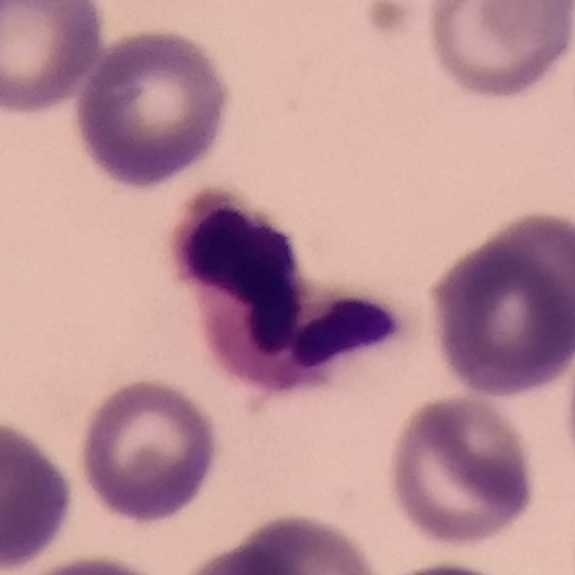A neutrophilic granulocyte. Preparation: Peripheral blood film.